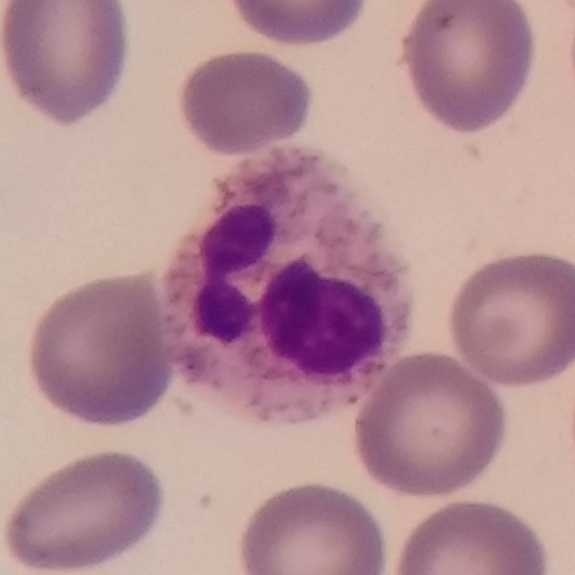{"cell_type": "neutrophil granulocyte"} Peripheral blood smear.